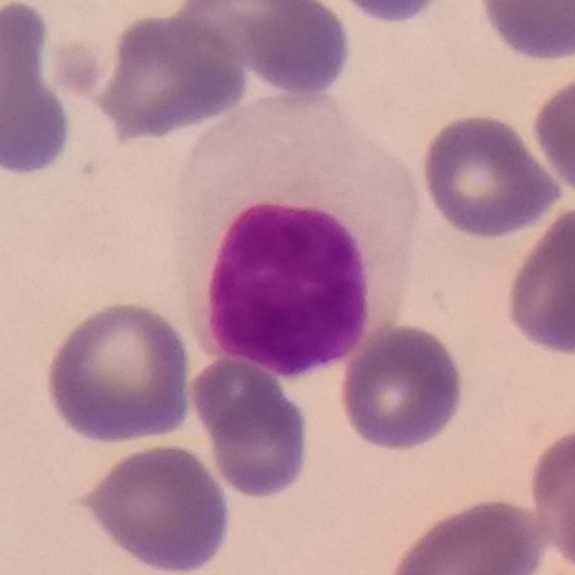The white blood cell in this image is a lymphocyte.

Acquisition: Peripheral blood smear; single white blood cell cropped from the smear photograph.